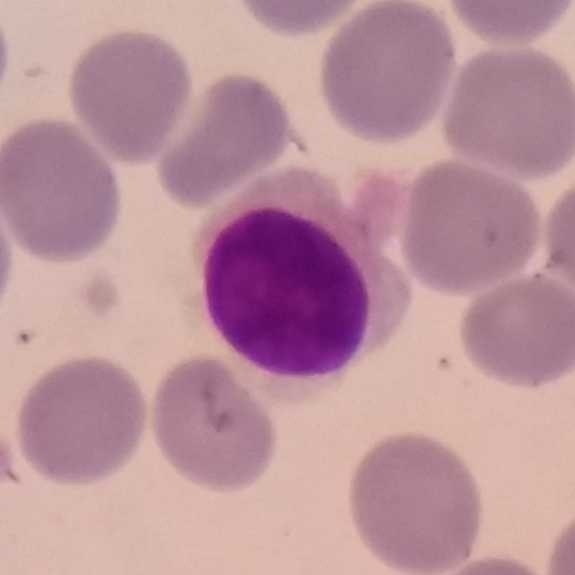 A lymphocyte on a peripheral blood smear.